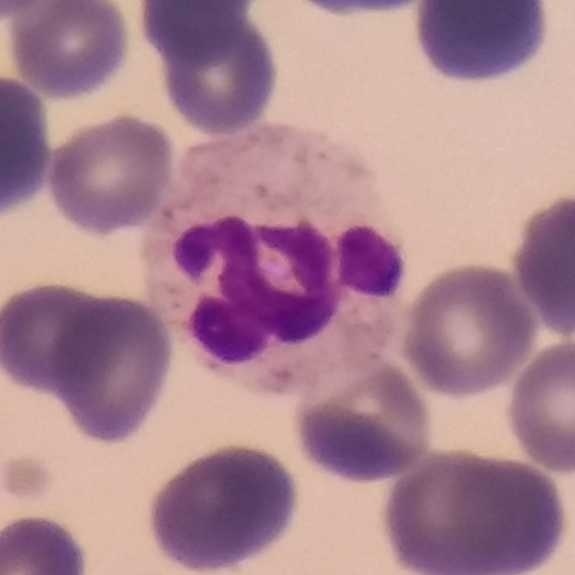 Cell type — neutrophilic granulocyte.